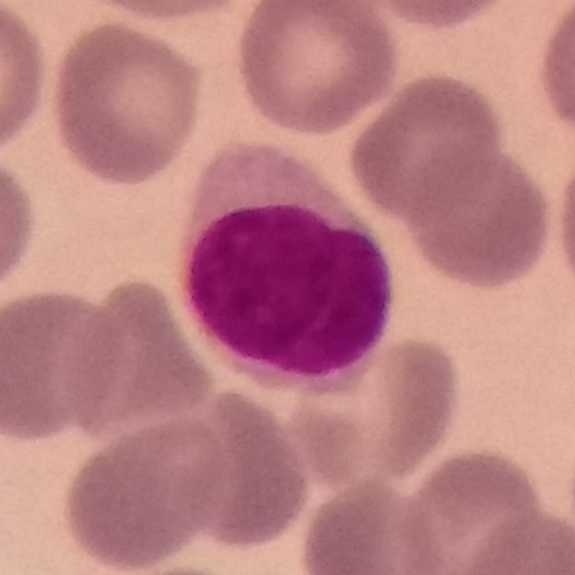 The white blood cell type is lymphocyte.

Image: Peripheral blood smear.